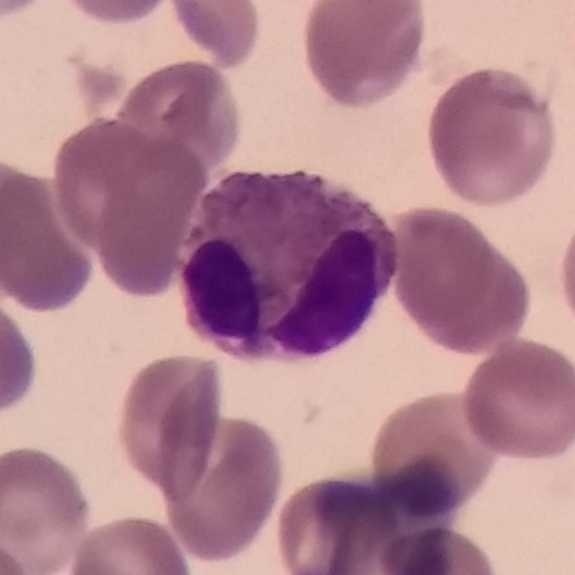White blood cell type — eosinophilic granulocyte.